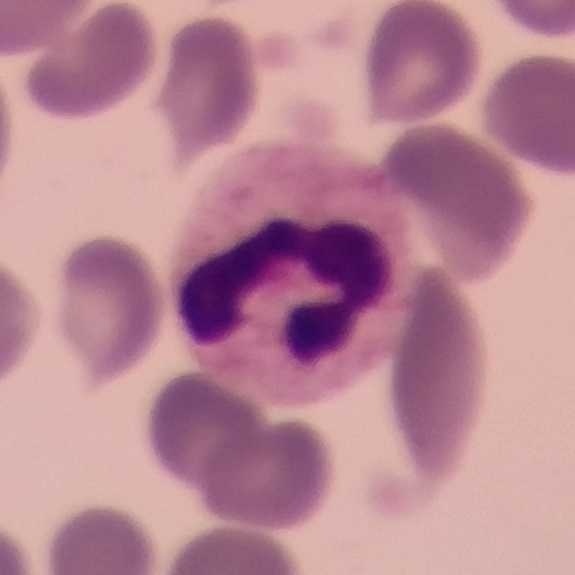{"cell_type": "neutrophilic granulocyte"}